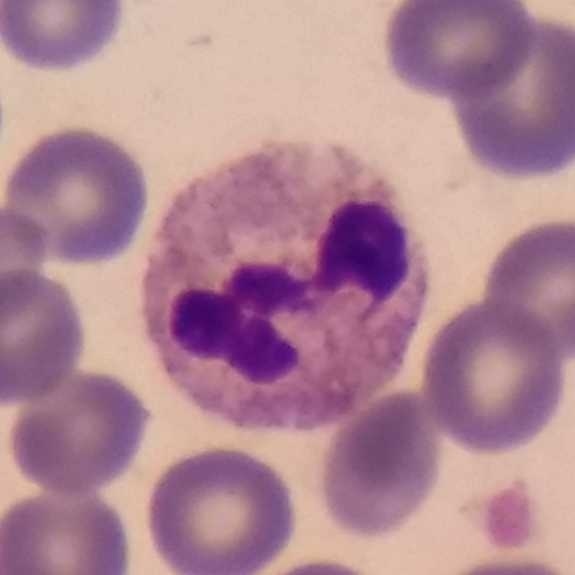

Impression — neutrophil granulocyte.